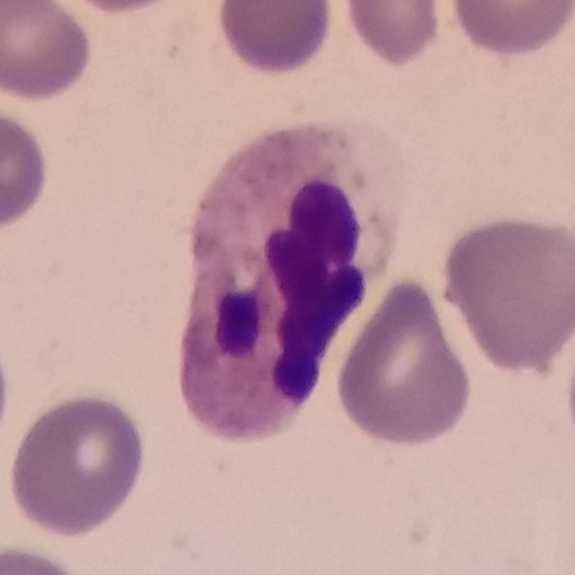

Single-cell crop from a peripheral blood smear: neutrophil granulocyte.